100× magnification. Peripheral blood film. Image size 575×575 — 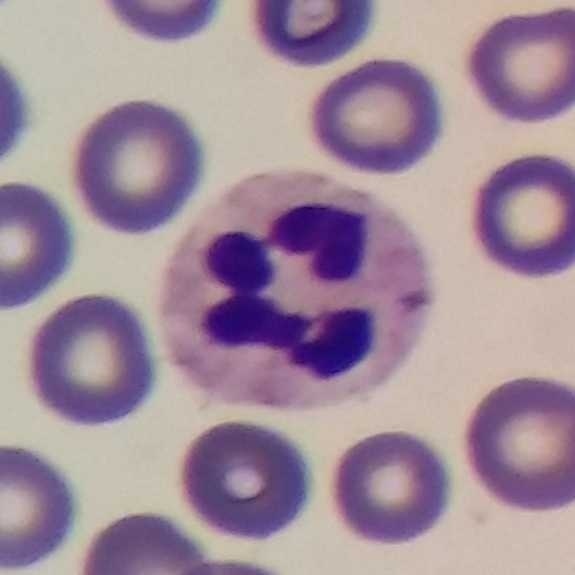

Identified as a neutrophilic granulocyte.